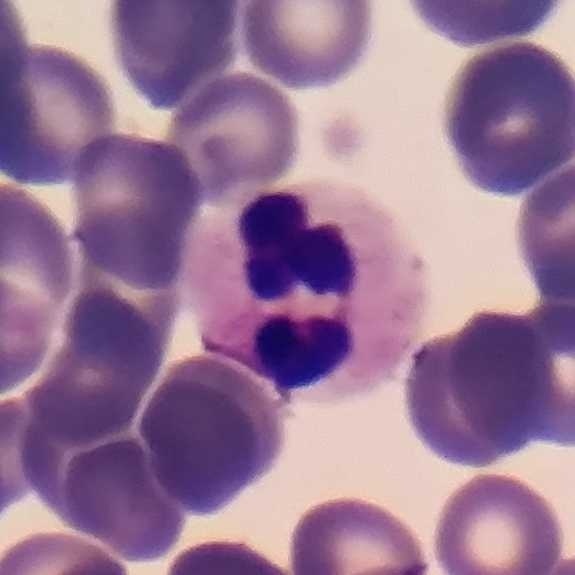 Peripheral blood smear; single-cell crop; phone-camera image taken through the microscope ocular.
This is a neutrophil granulocyte.